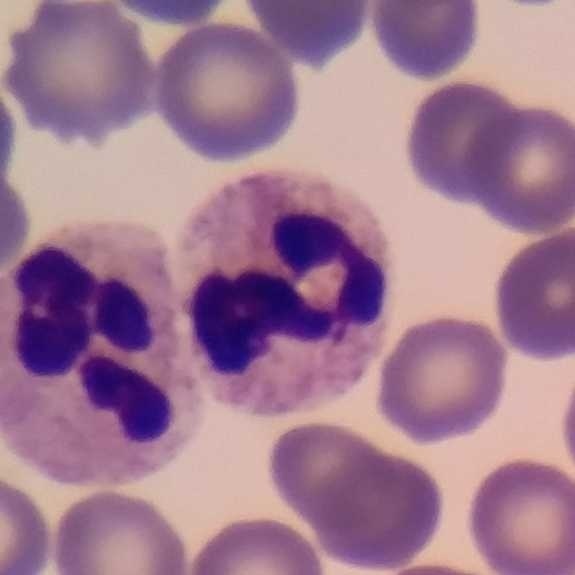

Acquisition: Peripheral blood film.
Q: What is shown here?
A: A neutrophil granulocyte.